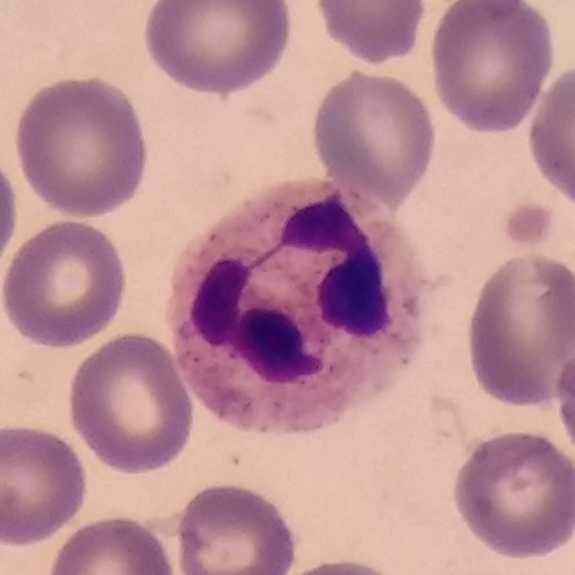

Q: Which cell type is shown here?
A: It is a neutrophil. Context: Peripheral blood smear · cropped to one leukocyte.